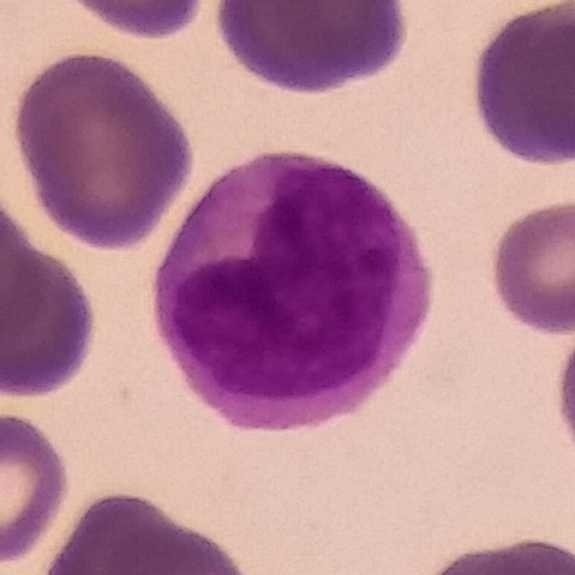Impression — monocyte.